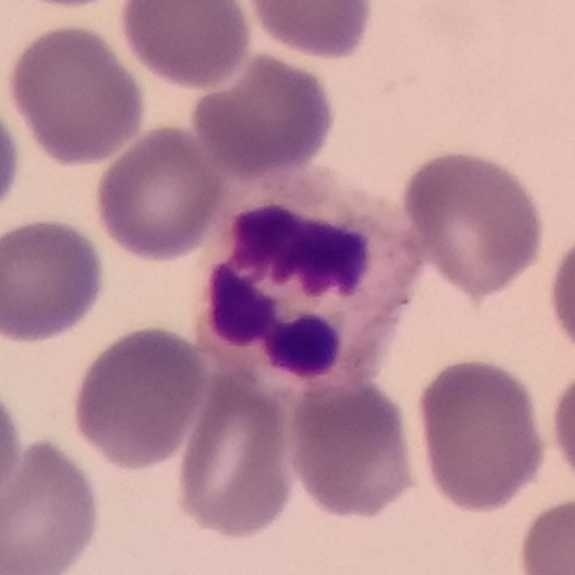 Morphology → neutrophil.